Peripheral blood smear:
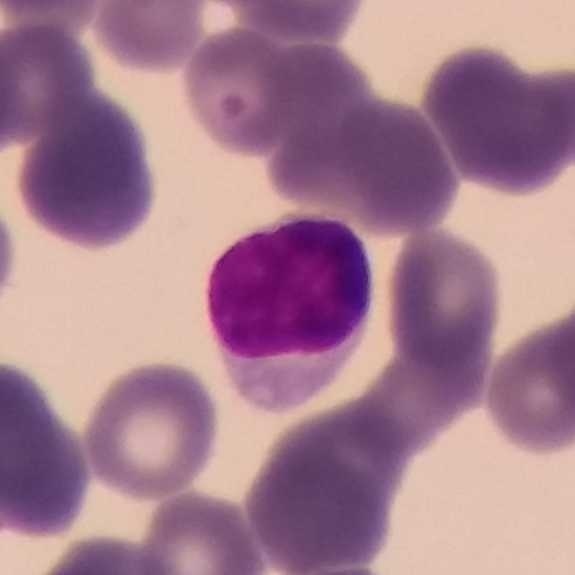 Specimen: peripheral blood film.
Cell type: lymphocyte.